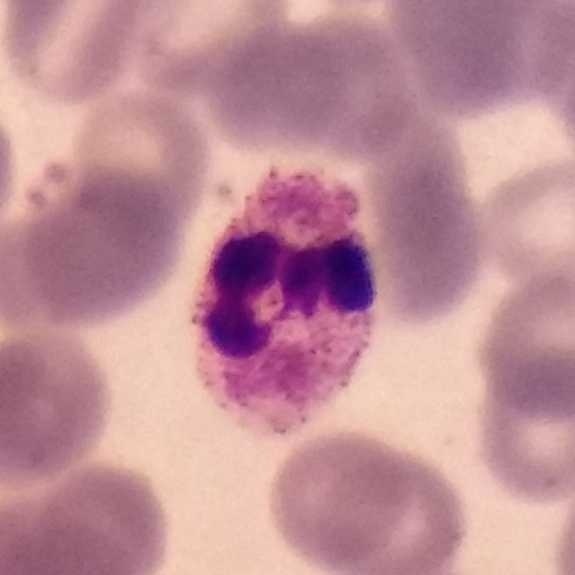 Context: Peripheral blood film. Q: What type of cell is this?
A: This is a neutrophil.